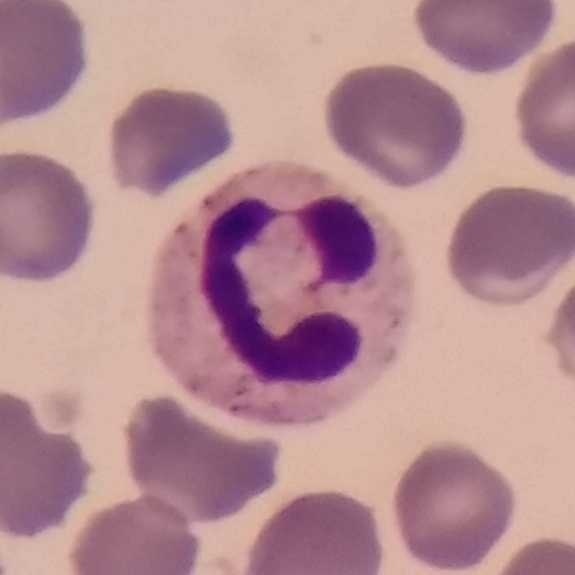 Specimen: peripheral blood film.
White blood cell type: neutrophilic granulocyte.
Lineage: myeloid.